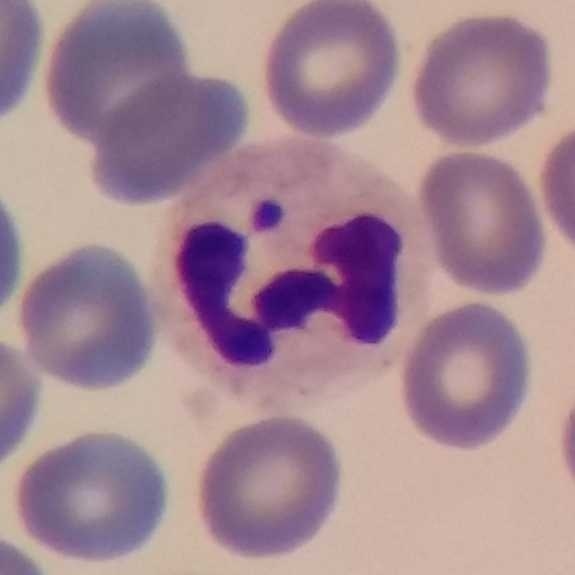Peripheral blood smear. Photographed through a light microscope with a smartphone camera. Image size 575×575.

The classification is neutrophilic granulocyte.